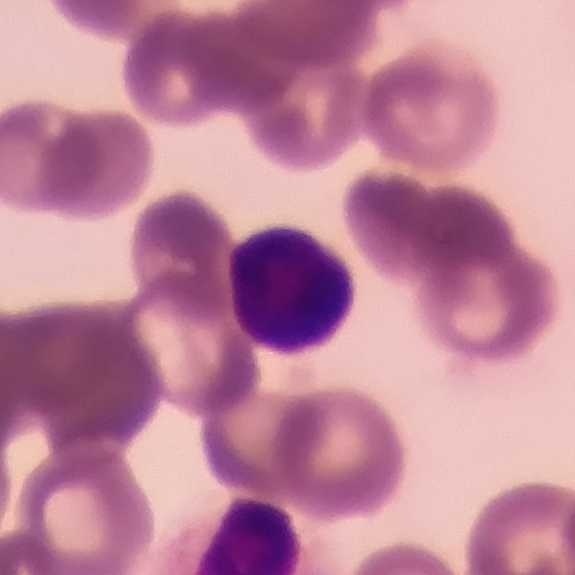Morphological class = lymphocyte. 575×575; peripheral blood smear.